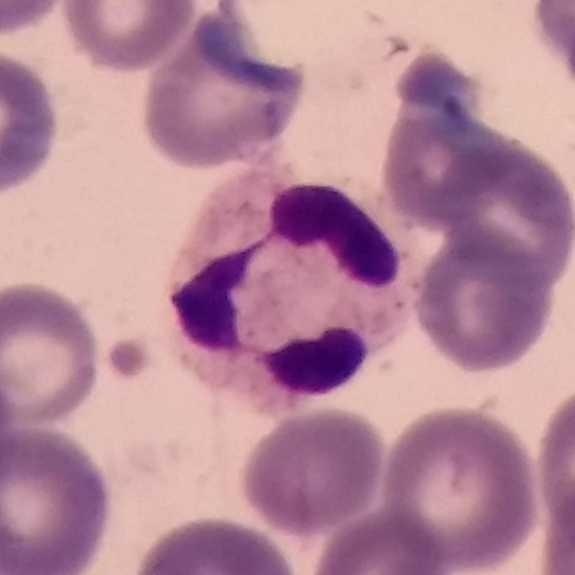 Acquisition: Peripheral blood smear; imaged at 100×. The cell type is neutrophil.